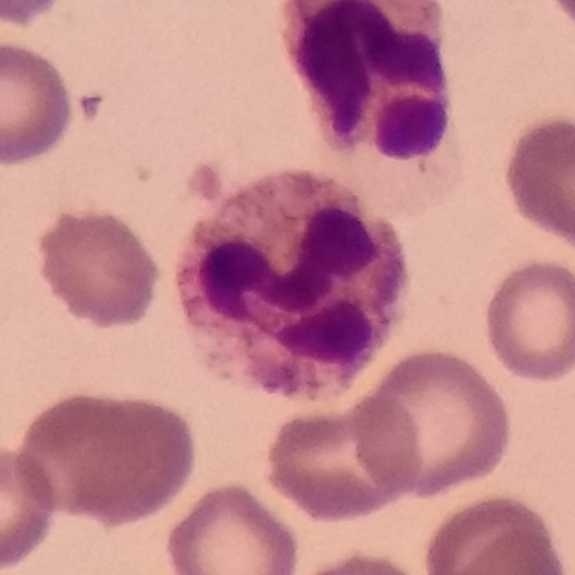Peripheral blood smear; single-cell field.

A neutrophil granulocyte.